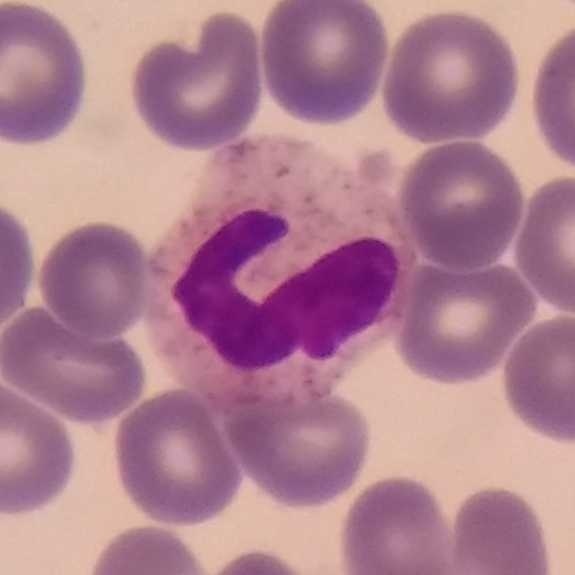 Q: Which type of white blood cell is this?
A: Neutrophil granulocyte.